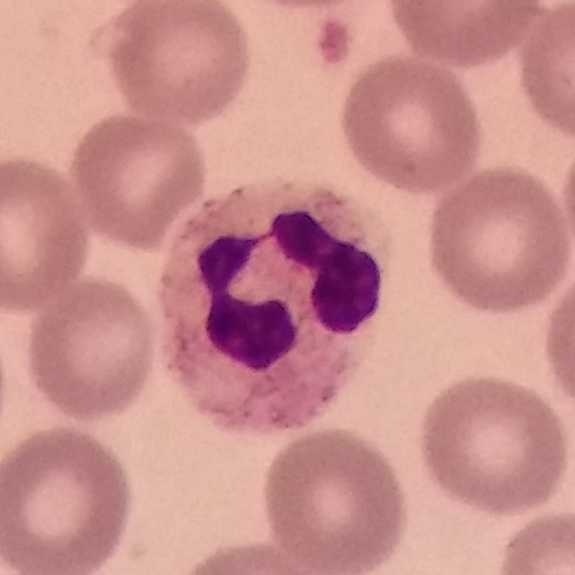
White blood cell type: neutrophil granulocyte.